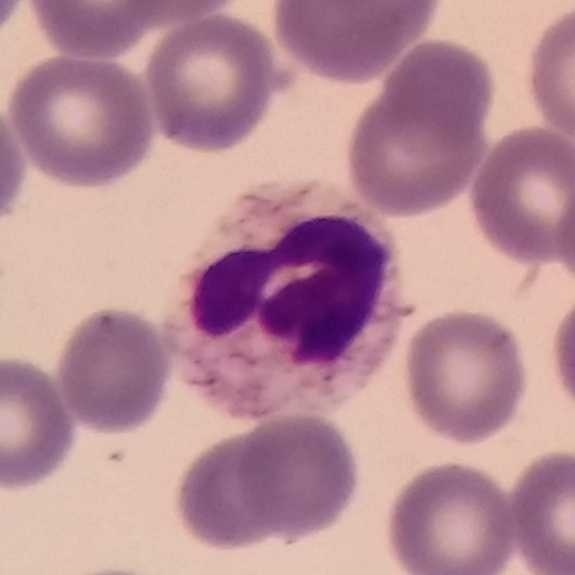 Single cell identified as a neutrophil. Image: Image size 575×575. Peripheral blood smear.